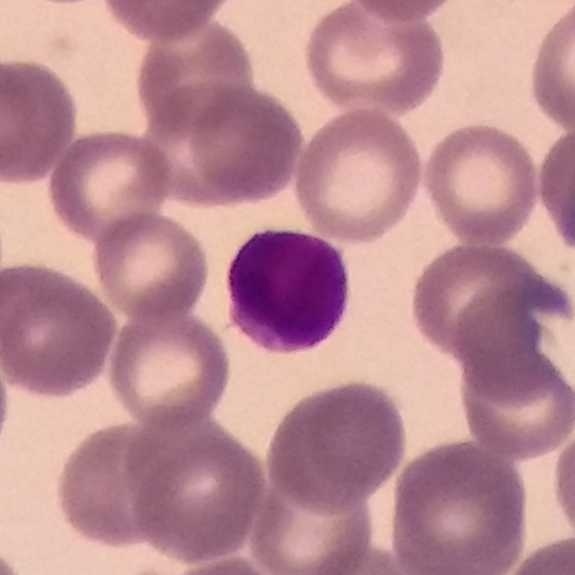Classification — lymphocyte.
Peripheral blood smear. Smartphone camera mounted on the microscope eyepiece.